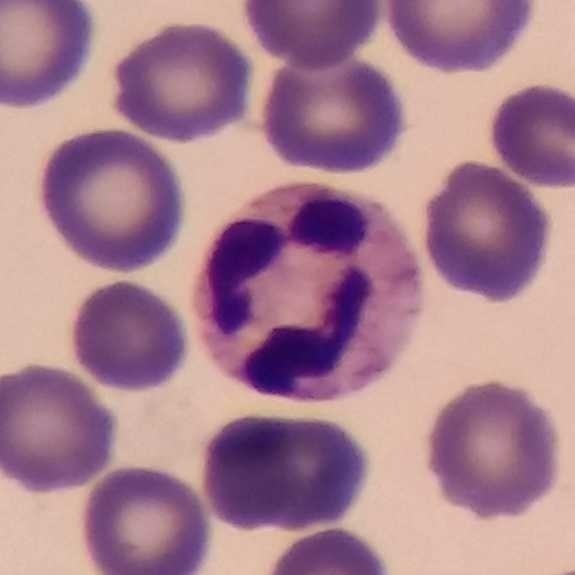
575×575 px. Imaged at 100×. Peripheral blood film. Impression → neutrophilic granulocyte.